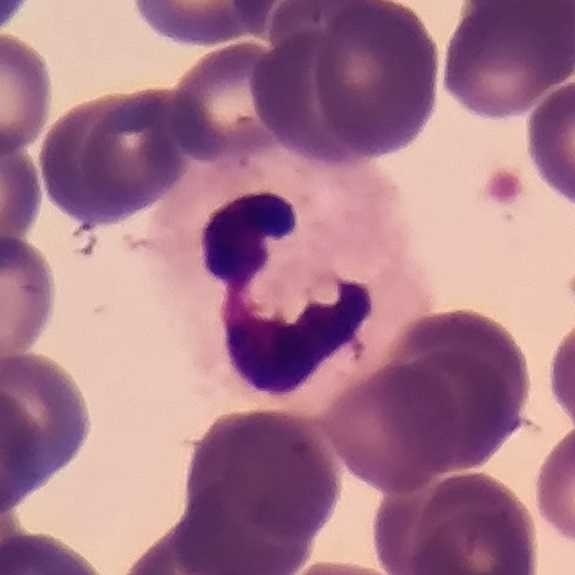Specimen: peripheral blood smear.
White blood cell type: neutrophil granulocyte.
Lineage: myeloid.